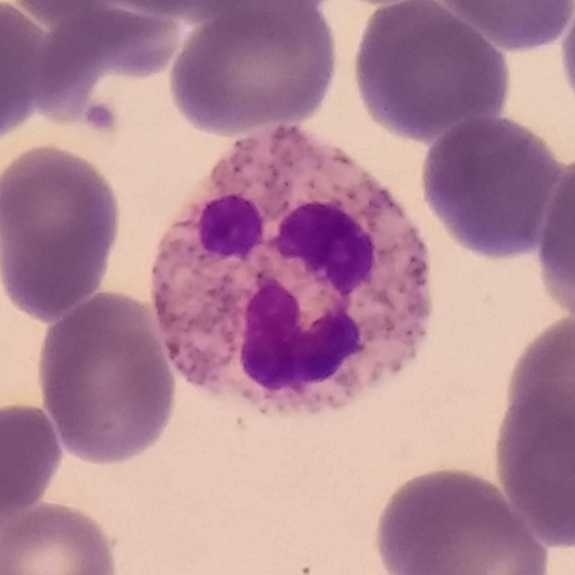 The white blood cell in this image is a neutrophilic granulocyte.

Preparation: Giemsa-stained; single white blood cell cropped from the smear photograph; peripheral blood film.